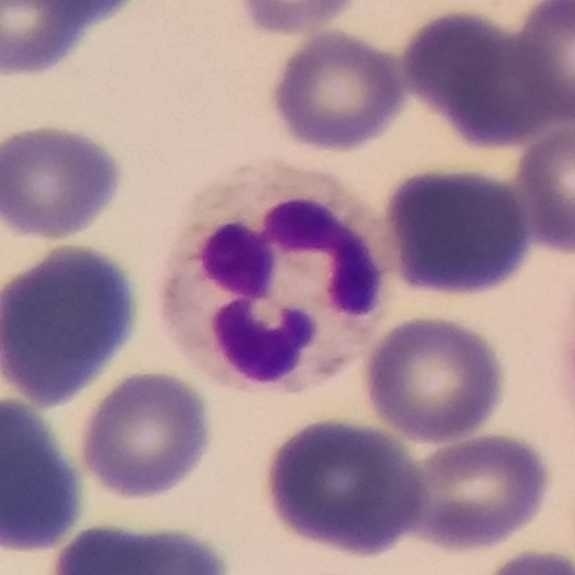
Image: Peripheral blood film · 575×575 px.

Impression — neutrophil.